Peripheral blood smear.
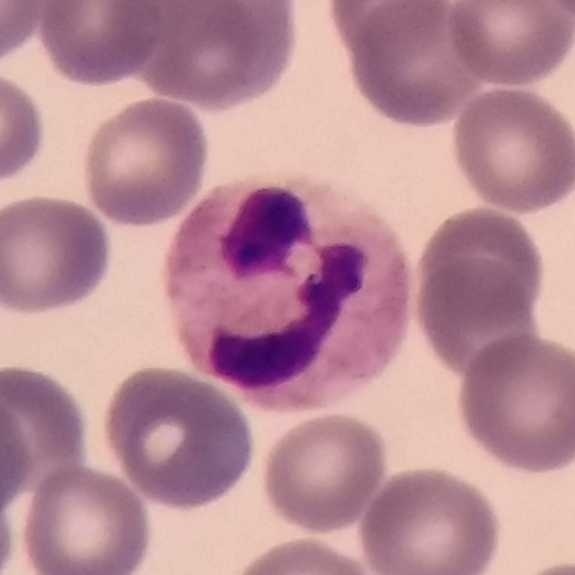 Specimen: peripheral blood film.
Morphological class: neutrophil granulocyte.
Lineage: myeloid.